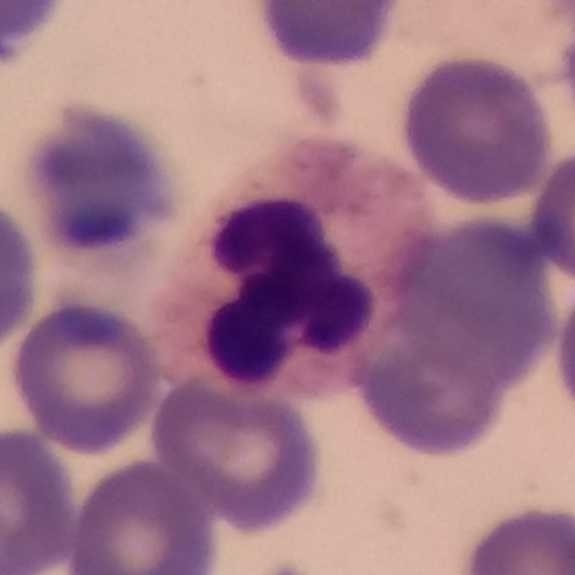 The cell shown is a neutrophil granulocyte. Smartphone photomicrograph · peripheral blood smear.